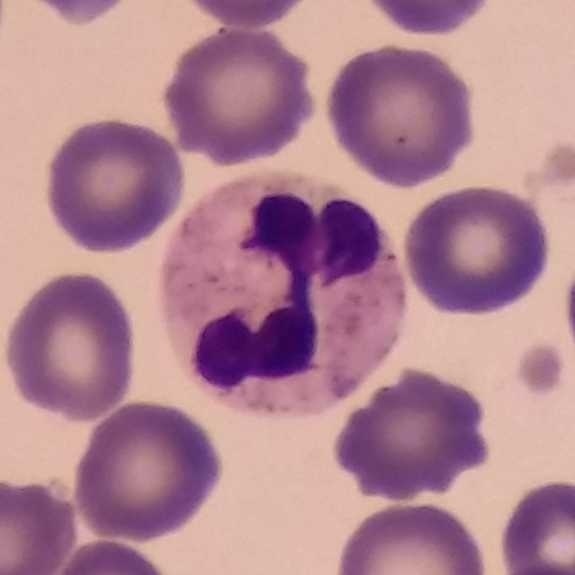Acquisition: Magnification 100× · peripheral blood smear · 575×575 px.

Morphology → neutrophil granulocyte.